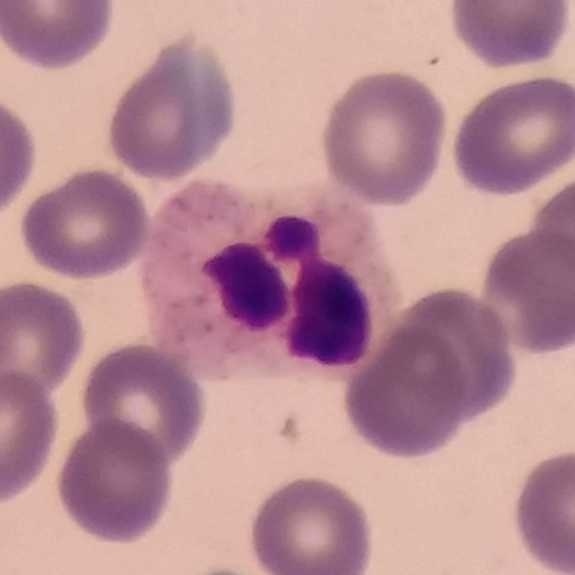
Specimen: peripheral blood film.
White blood cell type: neutrophil granulocyte.